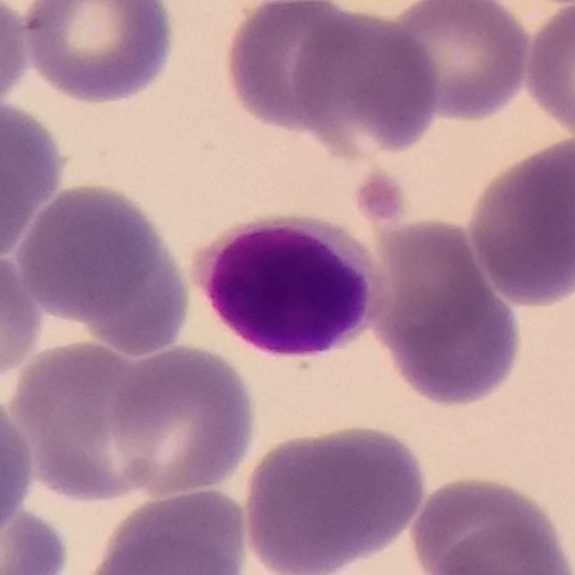Showing a lymphocyte.

Preparation: Peripheral blood film.